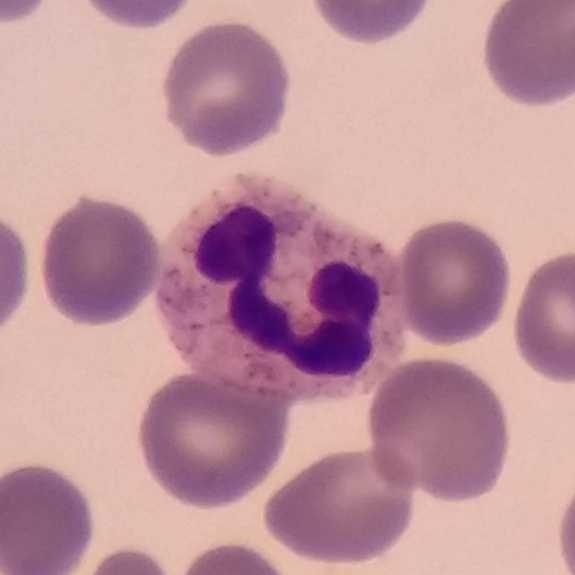

Preparation: Peripheral blood film.
Identified as a neutrophil.